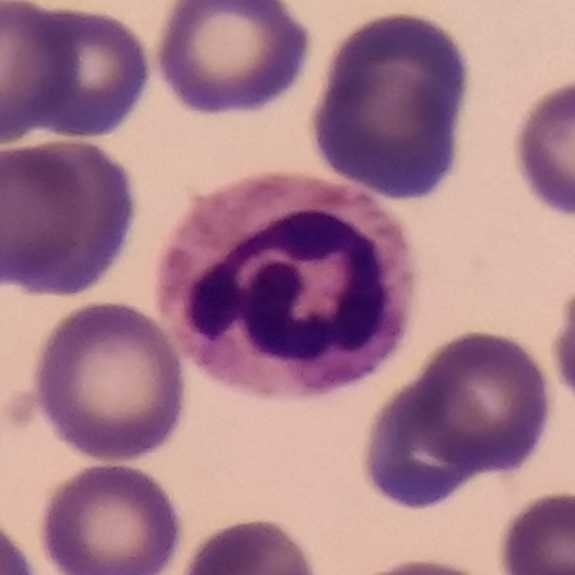
The morphological class is neutrophil granulocyte.
Peripheral blood smear · stained with Giemsa · phone-camera image taken through the microscope ocular.